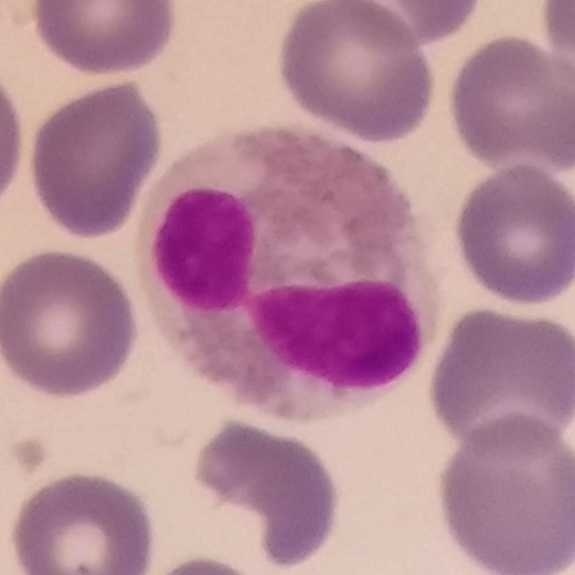 Morphology → eosinophilic granulocyte. Preparation: Peripheral blood film.